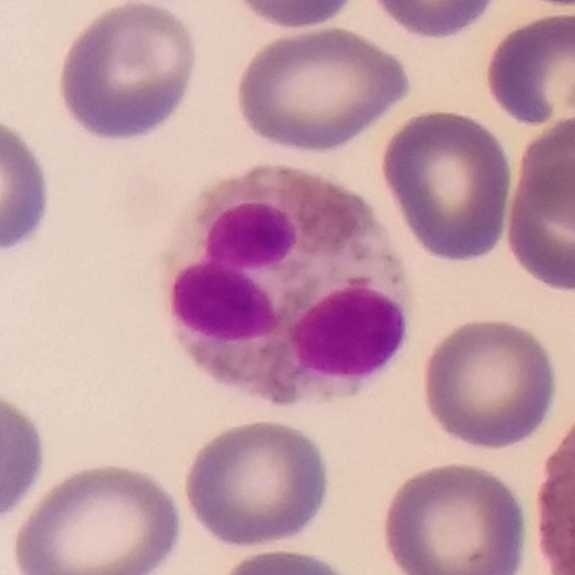575×575. Specimen: peripheral blood smear.
Cell: eosinophilic granulocyte.
Lineage: myeloid.